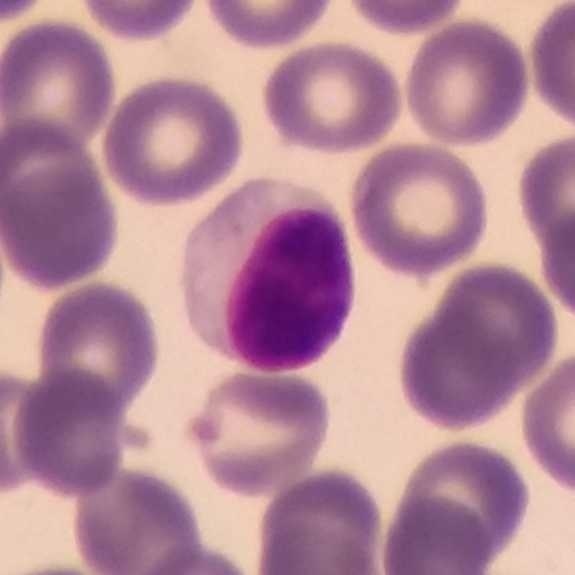
Showing a lymphocyte. Context: Peripheral blood film.